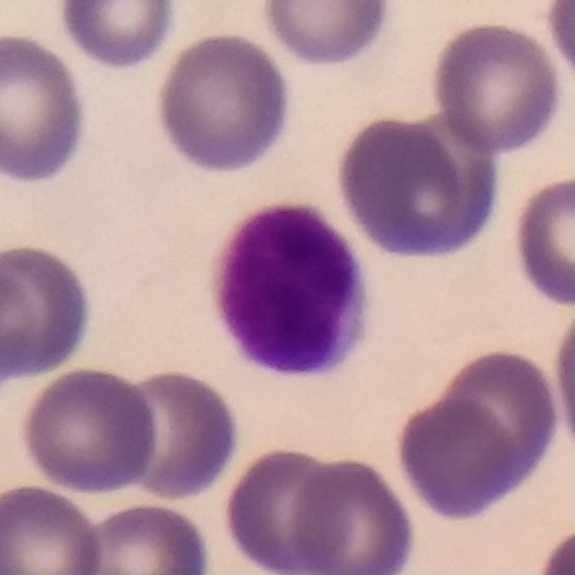
Showing a lymphocyte.
Context: Peripheral blood smear · 100× magnification.